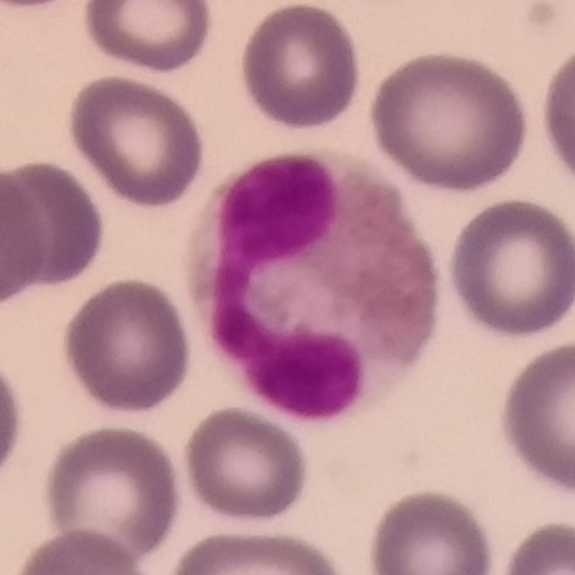Classification = eosinophilic granulocyte. Acquisition: Peripheral blood film; single white blood cell cropped from the smear photograph.